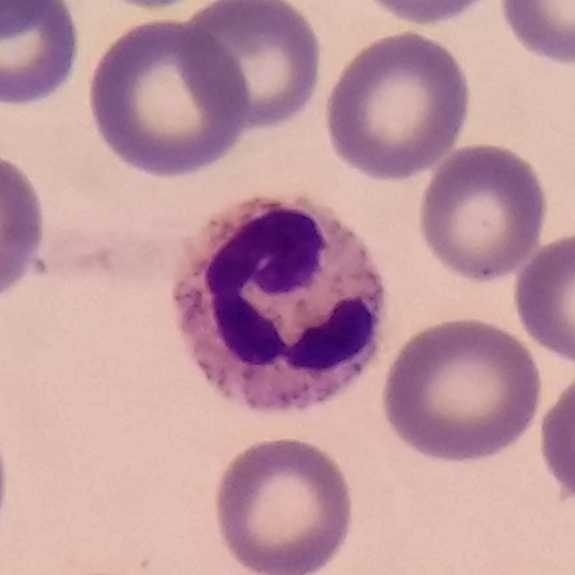 Peripheral blood smear. 575×575. 100× magnification.
Neutrophil granulocyte.